Peripheral blood smear: 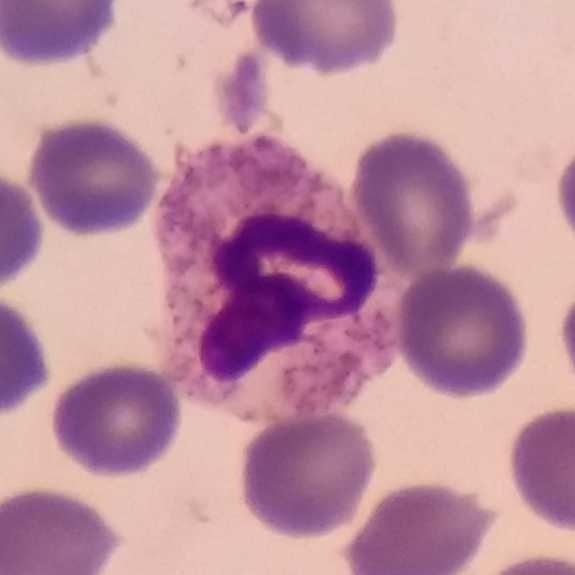

Morphology — neutrophilic granulocyte.